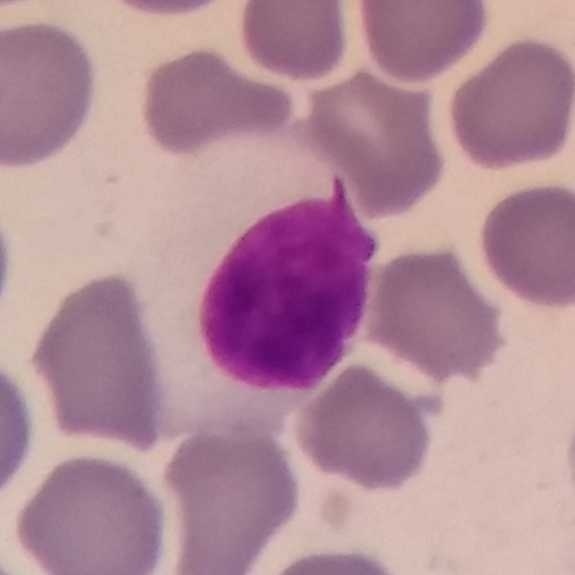Specimen: peripheral blood smear.
Classification: lymphocyte.